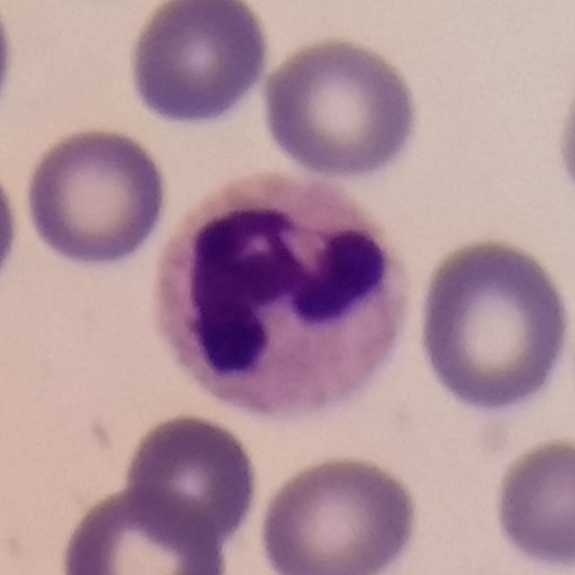 Neutrophilic granulocyte.
Acquisition: Peripheral blood smear; smartphone photomicrograph; 575×575 px.